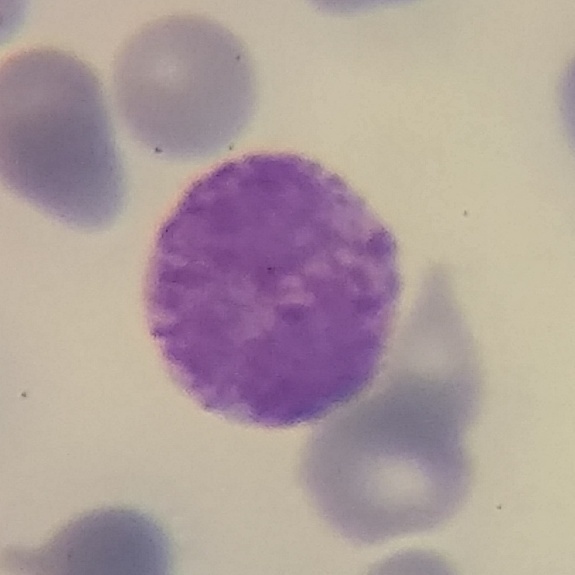
Peripheral blood film · imaged at 100× · photographed through a light microscope with a smartphone camera. The classification is basophilic granulocyte.